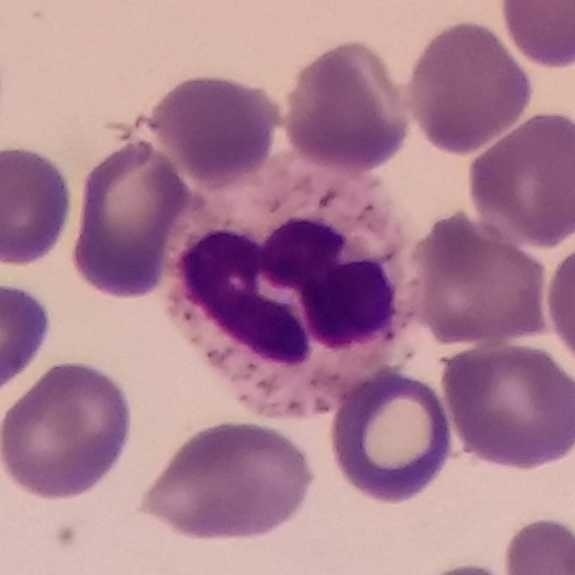 Cell type: neutrophil. Peripheral blood smear · 100× magnification.